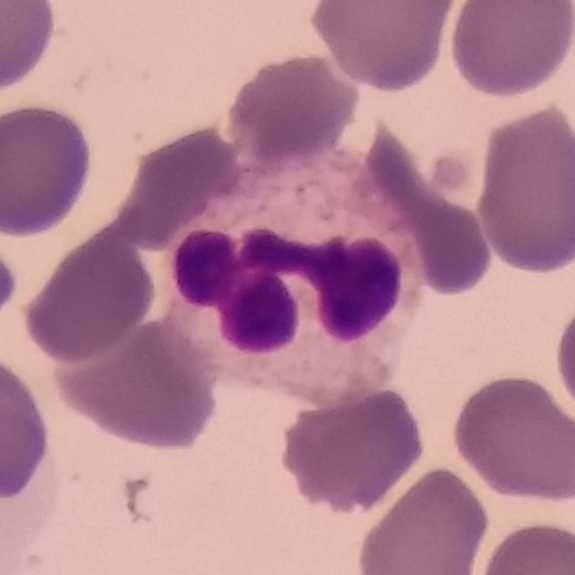 Q: Which type of white blood cell is this?
A: This is a neutrophil.
Context: Peripheral blood film · single-cell crop.